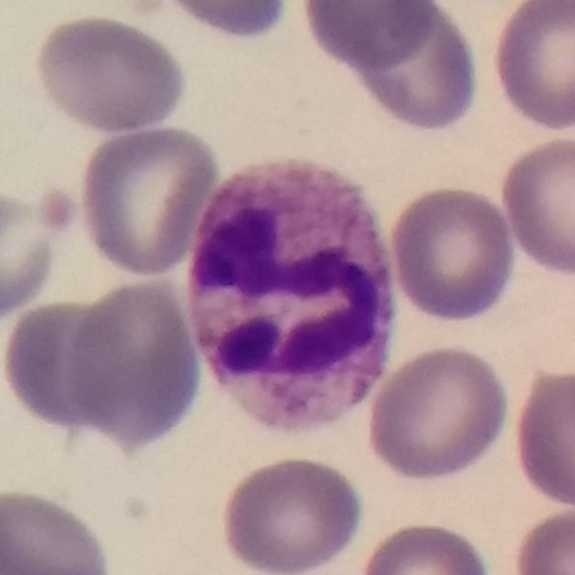

Specimen: peripheral blood film.
Morphological class: neutrophilic granulocyte. Context: Magnification 100×.